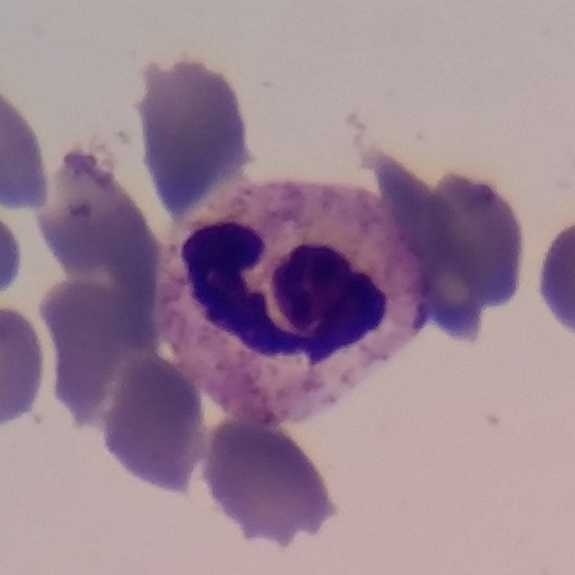

The morphological class is neutrophil.